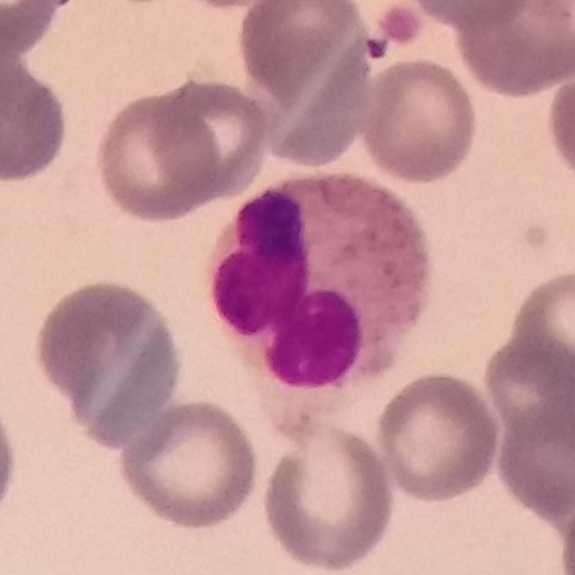
Classification — neutrophilic granulocyte. Image: Peripheral blood film.